Peripheral blood smear; smartphone photomicrograph; 100× magnification
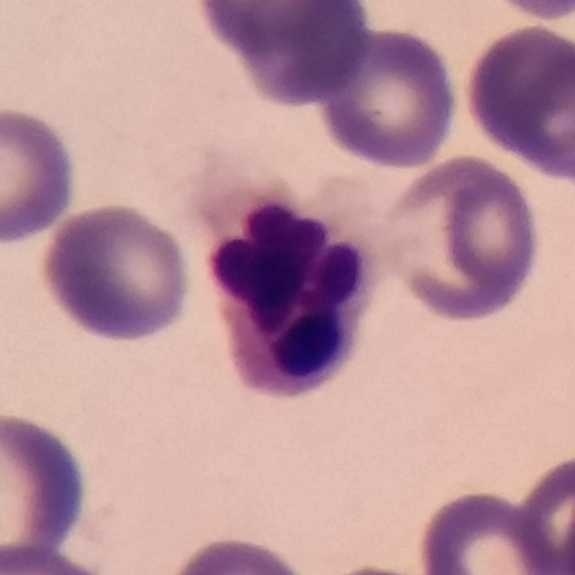 Morphology consistent with a neutrophil granulocyte.